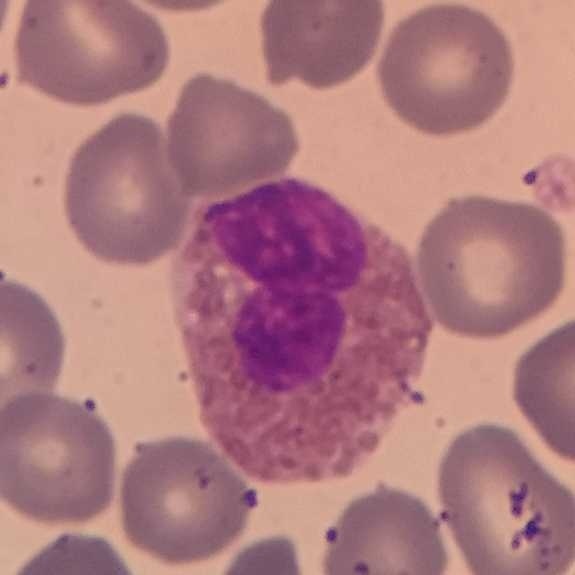From a peripheral blood smear: an eosinophilic granulocyte.